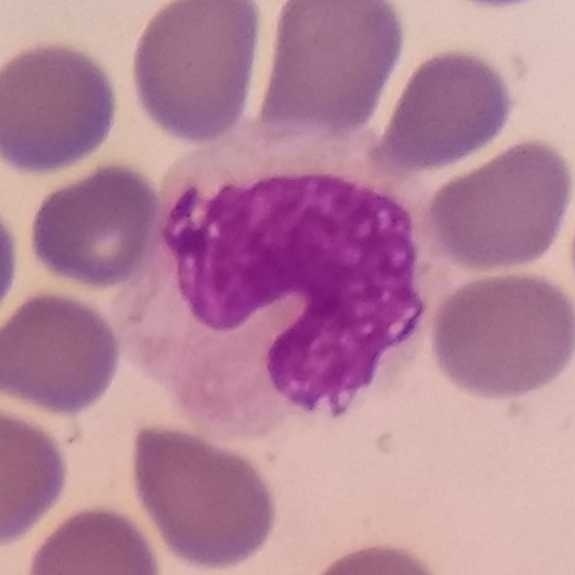 Q: What is the morphological classification of this cell?
A: This is a monocyte.